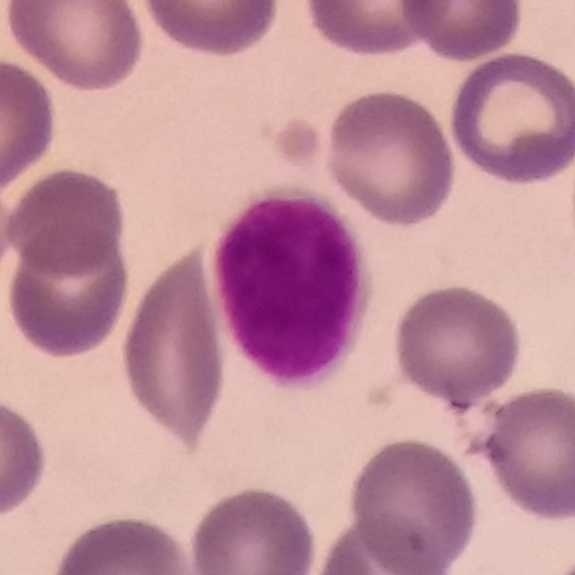 Q: What is this?
A: A lymphocyte.